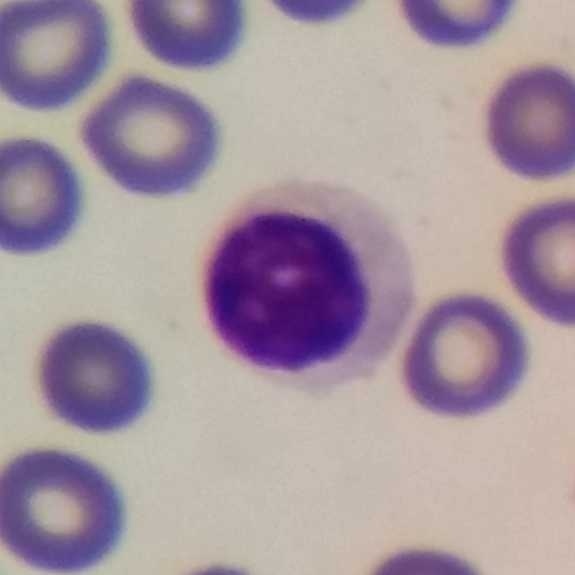
{"cell_type": "lymphocyte", "lineage": "lymphoid"} Acquisition: Peripheral blood smear.